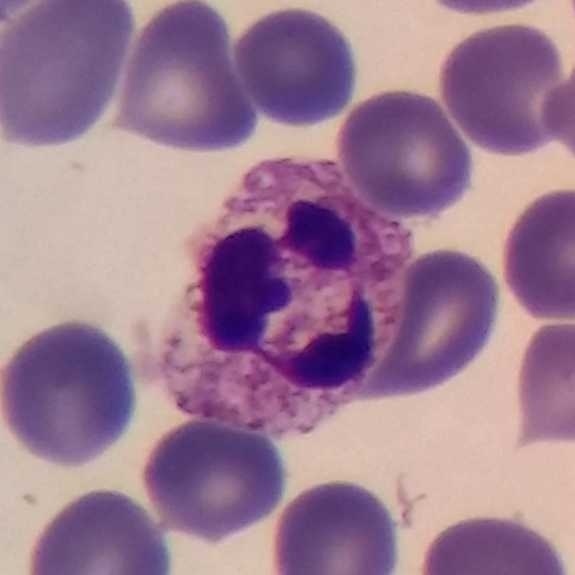Smartphone camera mounted on the microscope eyepiece. Stained with Giemsa. Peripheral blood film.

The cell is neutrophilic granulocyte.